575×575 · 100× magnification · peripheral blood smear: 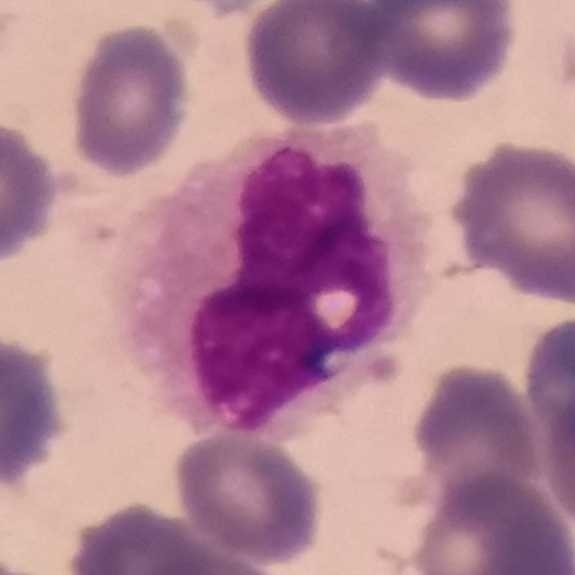
{"cell_type": "monocyte", "lineage": "myeloid"}